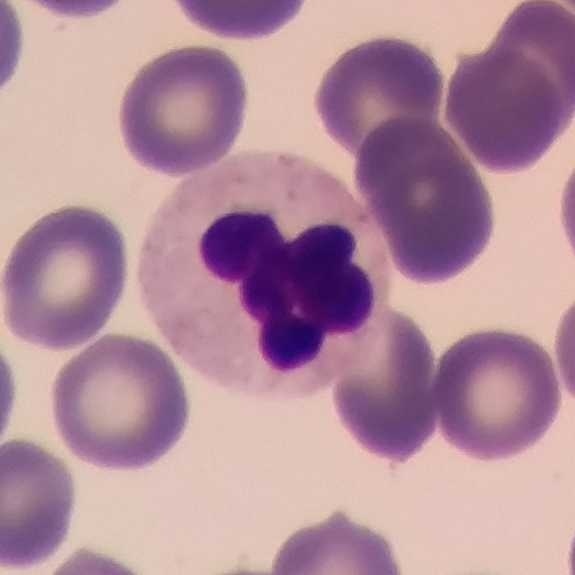

Acquisition: Peripheral blood film. Single white blood cell cropped from the smear photograph. Image size 575×575.

Morphological class: neutrophil.